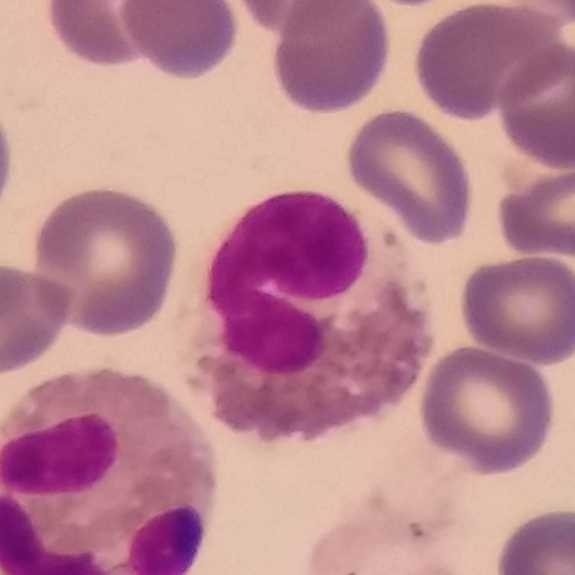

The cell shown is an eosinophil.

Acquisition: Peripheral blood smear; cropped to one leukocyte.